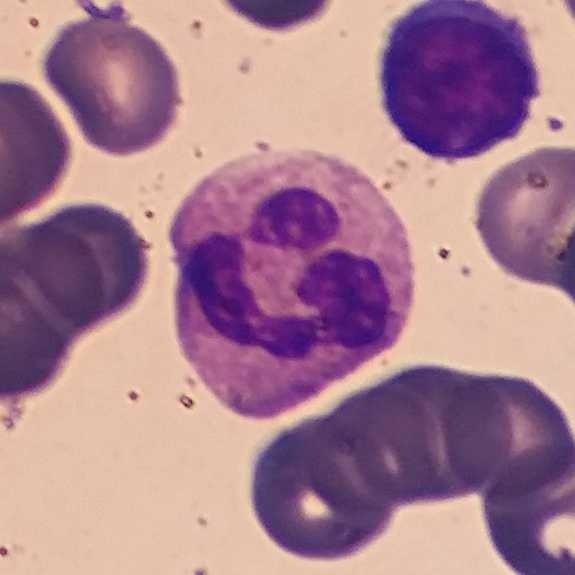
Impression → neutrophilic granulocyte.